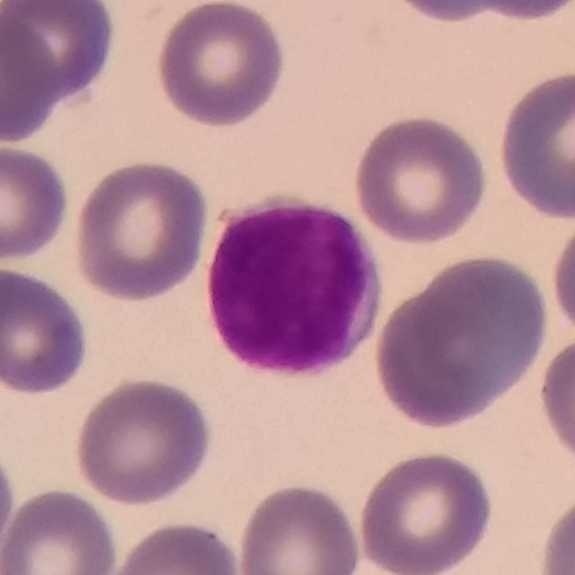

Preparation: Smartphone photomicrograph; peripheral blood film.
Morphology → lymphocyte.